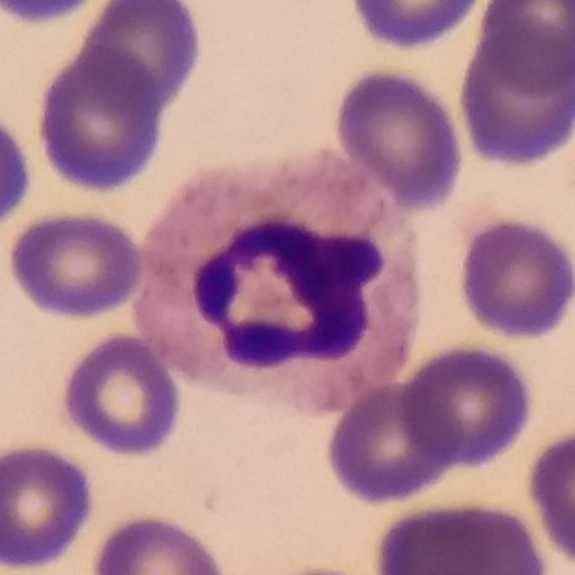Q: What is the morphological classification of this cell?
A: It is a neutrophil.

Acquisition: Giemsa stain · peripheral blood film.